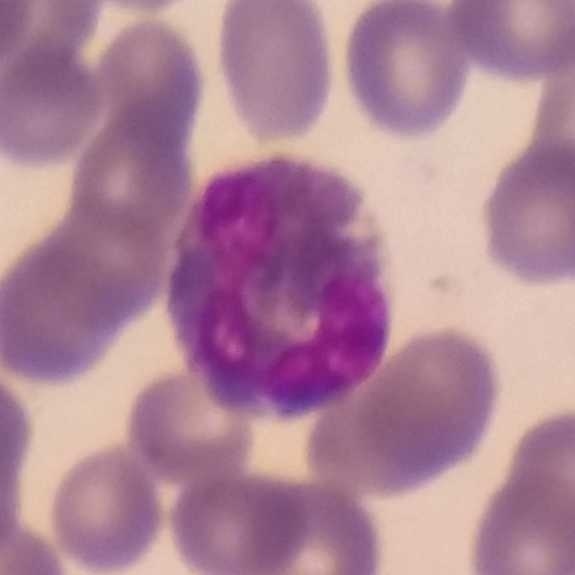An eosinophilic granulocyte.